Peripheral blood smear — 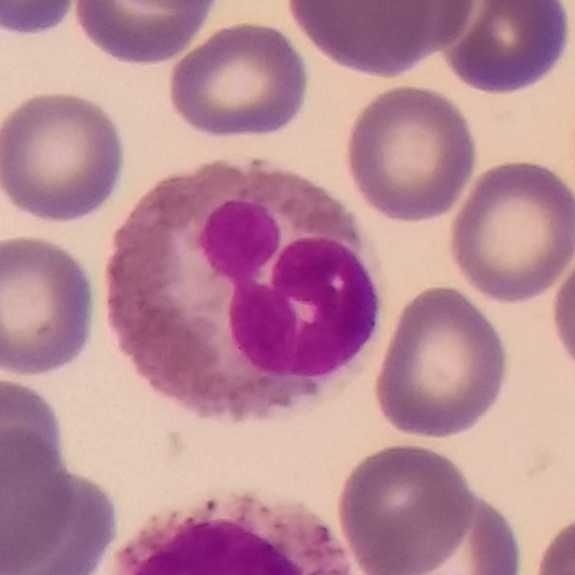

Q: Identify the cell.
A: This is an eosinophil.